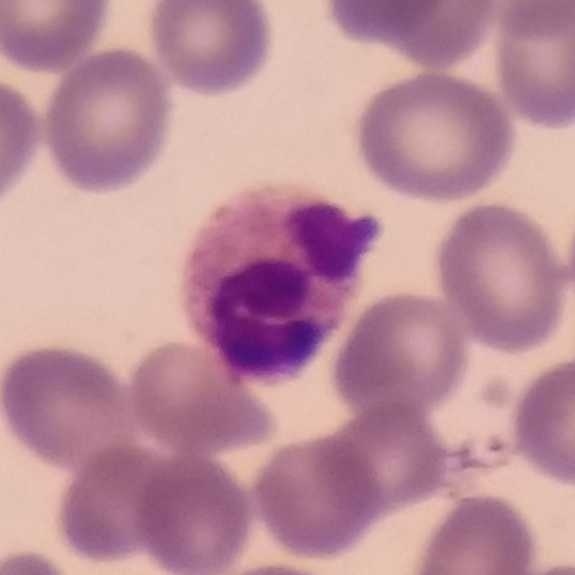Impression — neutrophil granulocyte. Context: Peripheral blood film.